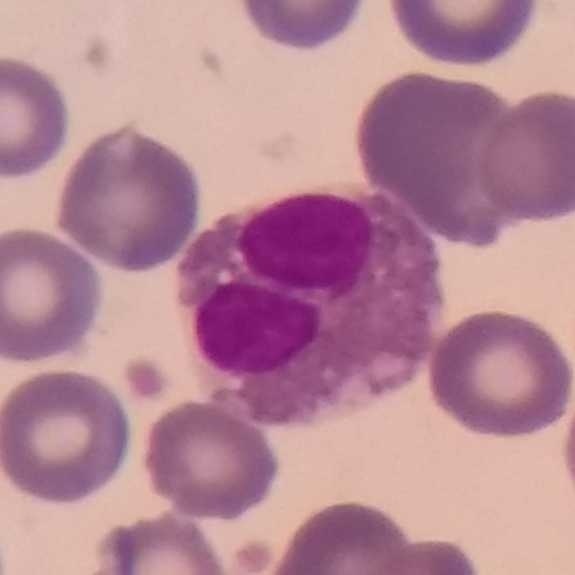 Context: Peripheral blood smear. Image size 575×575.

Impression — eosinophil.